Cropped to one leukocyte. Peripheral blood film. Image size 575×575: 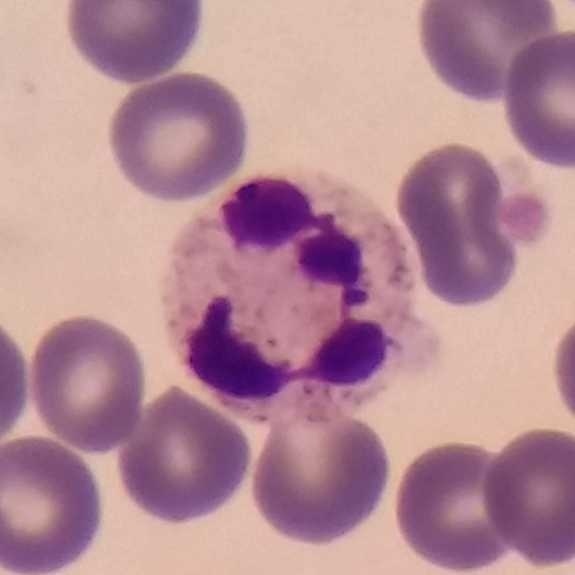 {"cell_type": "neutrophil granulocyte", "lineage": "myeloid"}